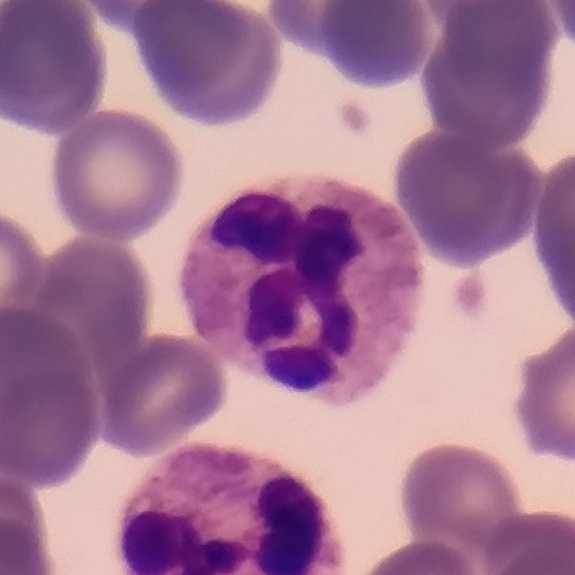{"cell_type": "neutrophilic granulocyte", "lineage": "myeloid"}

Smartphone photomicrograph. Peripheral blood smear.